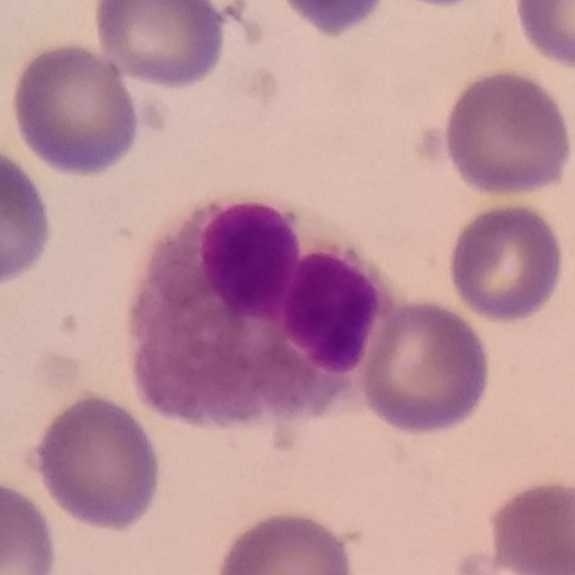

White blood cell from a peripheral blood smear: eosinophilic granulocyte.